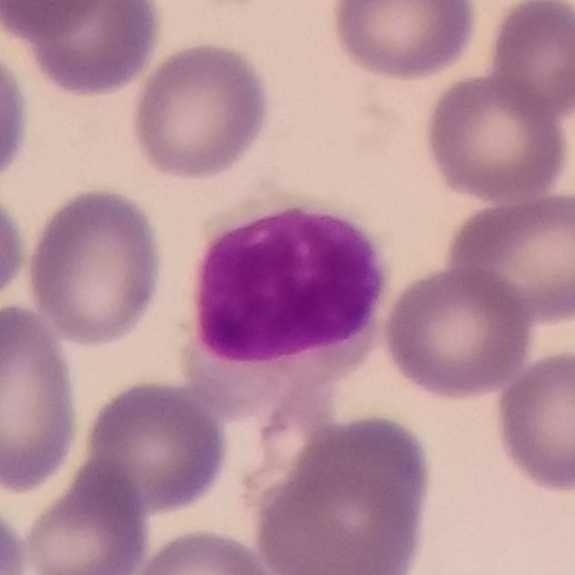 Acquisition: Giemsa stain. Peripheral blood smear. Smartphone photomicrograph.

A lymphocyte.